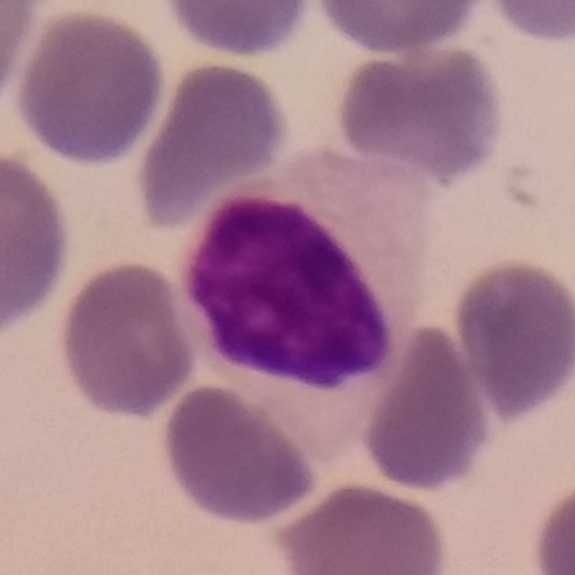 The cell type is lymphocyte.

Preparation: Giemsa stain. Cropped to one leukocyte. Peripheral blood smear.